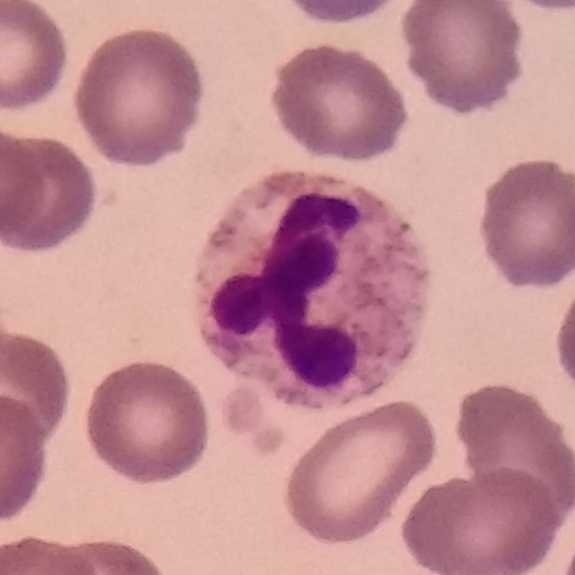

Peripheral blood film.
Neutrophil.